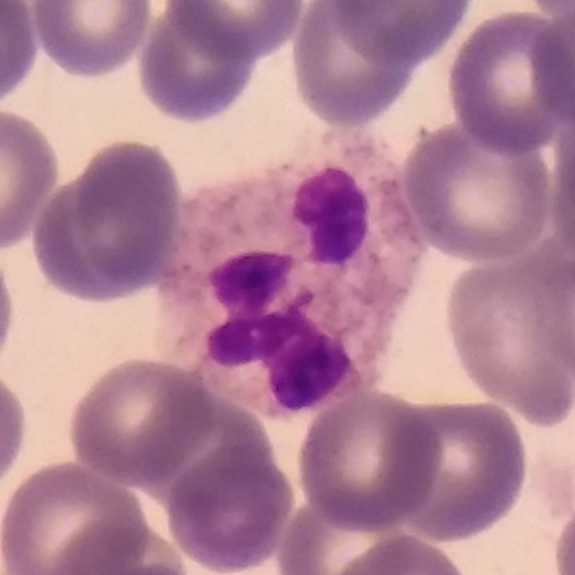Q: Which type of white blood cell is this?
A: Neutrophil.
Peripheral blood smear.